Peripheral blood film: 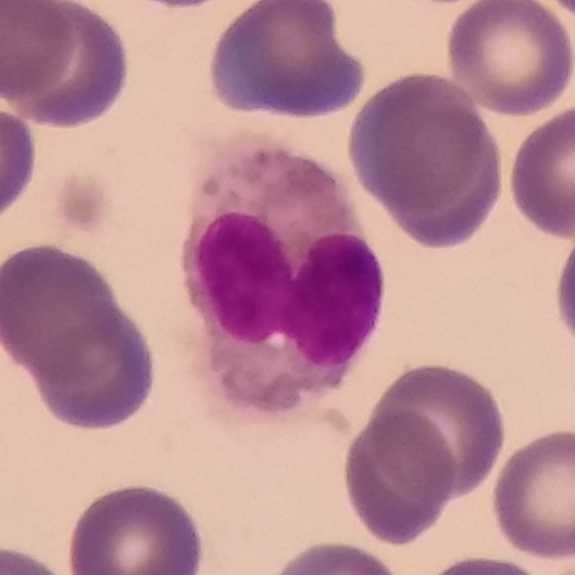Classification: eosinophilic granulocyte.